Stained with Giemsa; peripheral blood smear; magnification 100×
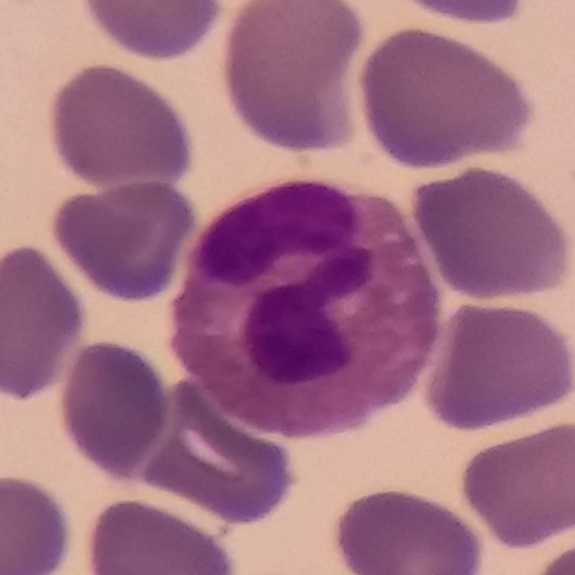 Eosinophilic granulocyte.